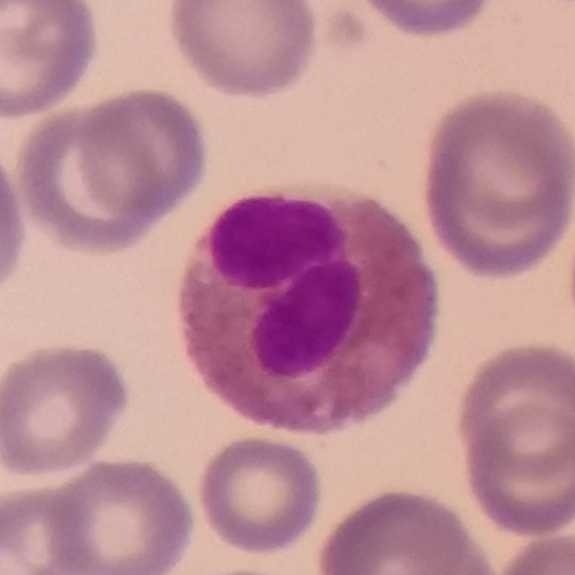
Eosinophilic granulocyte.

Preparation: Peripheral blood smear.